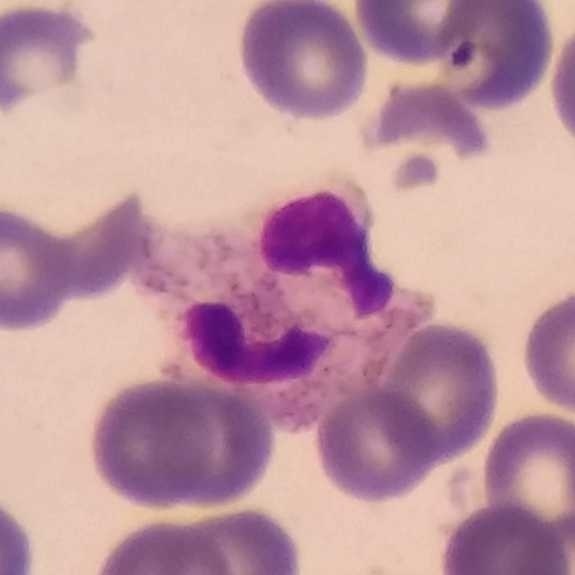
The cell shown is a neutrophil.